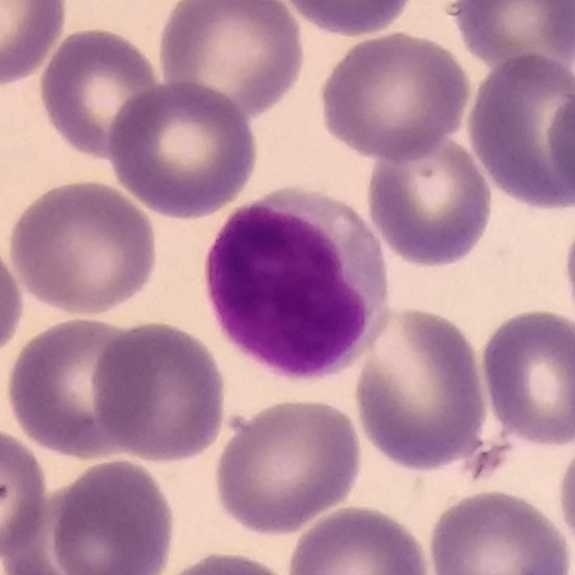Cell = lymphocyte. Preparation: Peripheral blood smear.